Peripheral blood film.
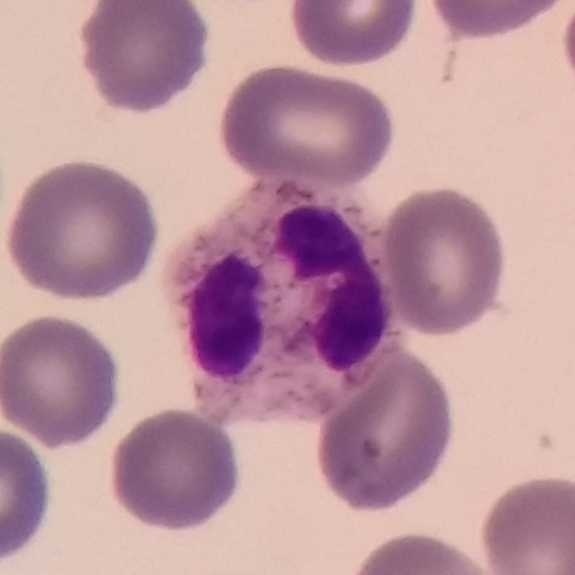 Showing a neutrophilic granulocyte.